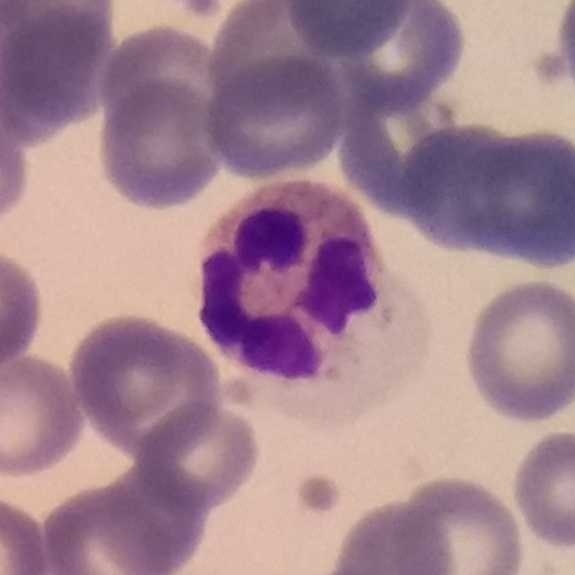A neutrophil. Peripheral blood smear.